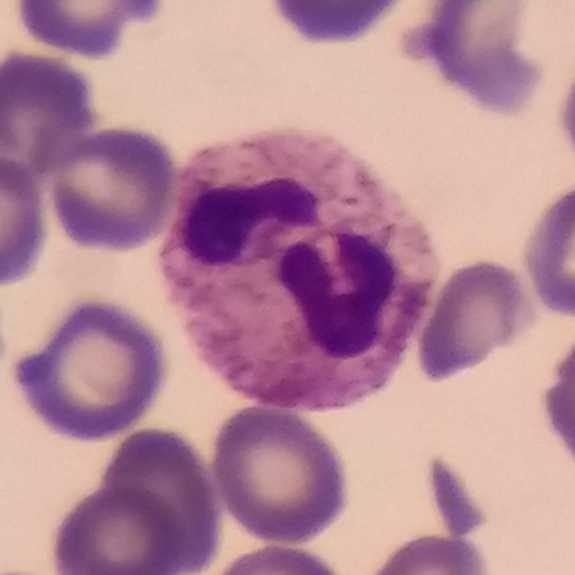 {"cell_type": "neutrophil", "lineage": "myeloid"} 575×575. Peripheral blood film.